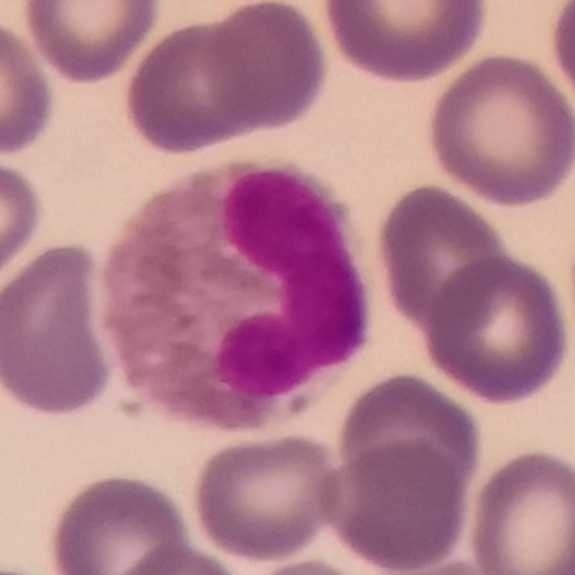 White blood cell type = eosinophilic granulocyte. Peripheral blood smear. 575×575 px.